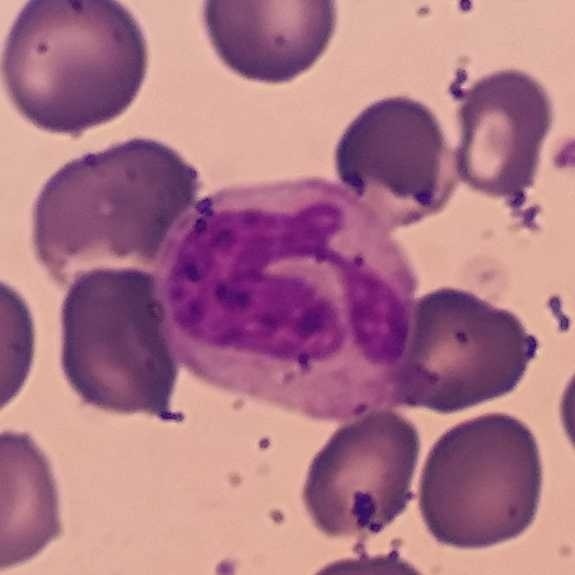 Q: What is shown here?
A: This is a neutrophil granulocyte.
Context: Peripheral blood film · phone-camera image taken through the microscope ocular.